Peripheral blood film; single-cell crop; smartphone photomicrograph.
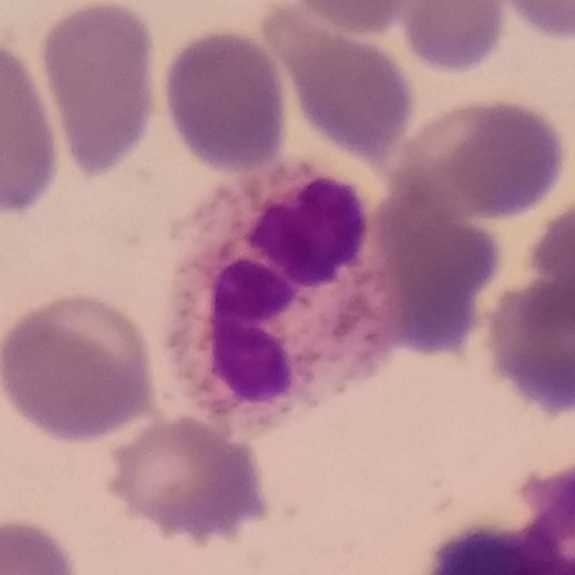

Q: What is shown here?
A: Neutrophil.